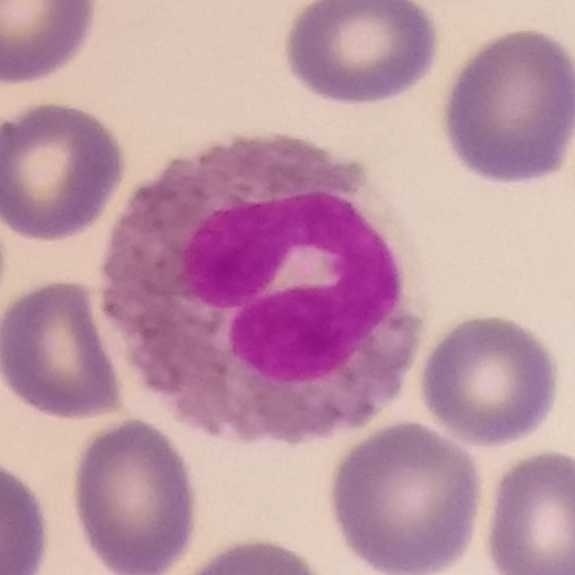 This is an eosinophil. Image: Smartphone camera mounted on the microscope eyepiece. Cropped to one leukocyte. Peripheral blood smear.